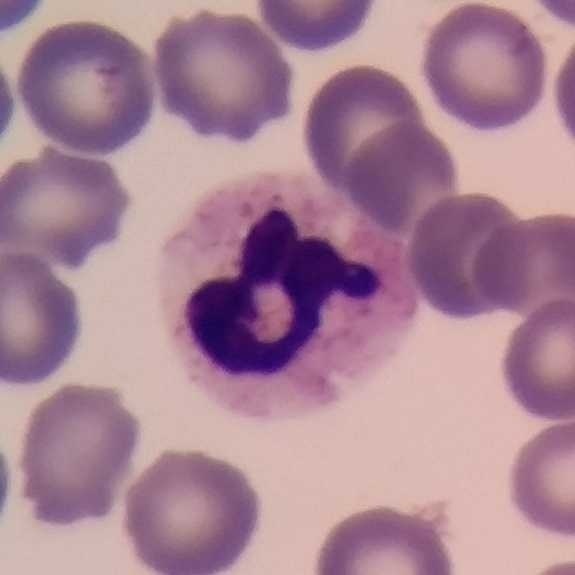

The cell shown is a neutrophilic granulocyte.